Peripheral blood smear: 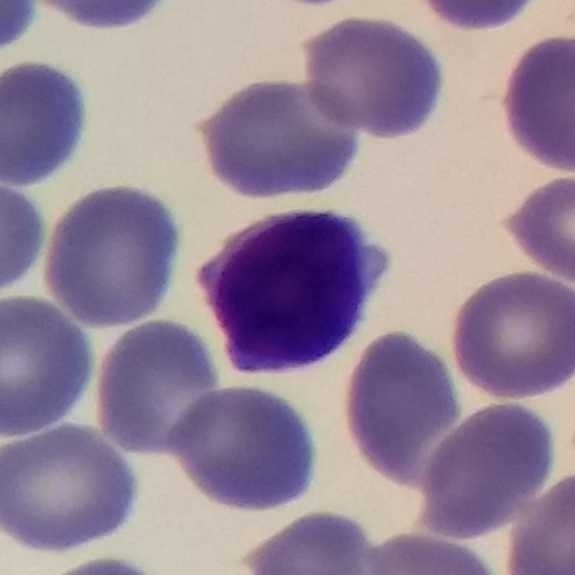 The cell shown is a lymphocyte.